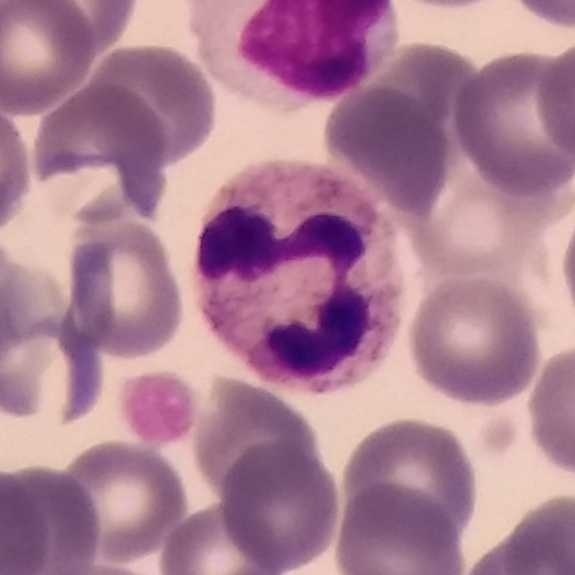

Photographed through a light microscope with a smartphone camera · peripheral blood smear. A neutrophilic granulocyte.